Peripheral blood smear. 575×575 px
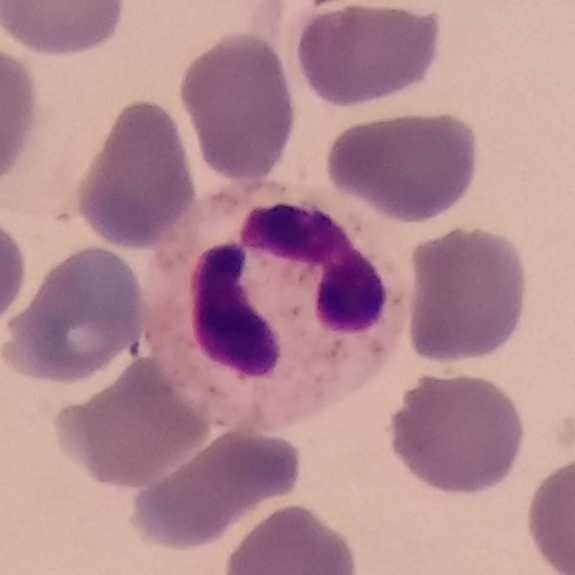Identified as a neutrophil.